Photographed through a light microscope with a smartphone camera. Single white blood cell cropped from the smear photograph. Peripheral blood smear:
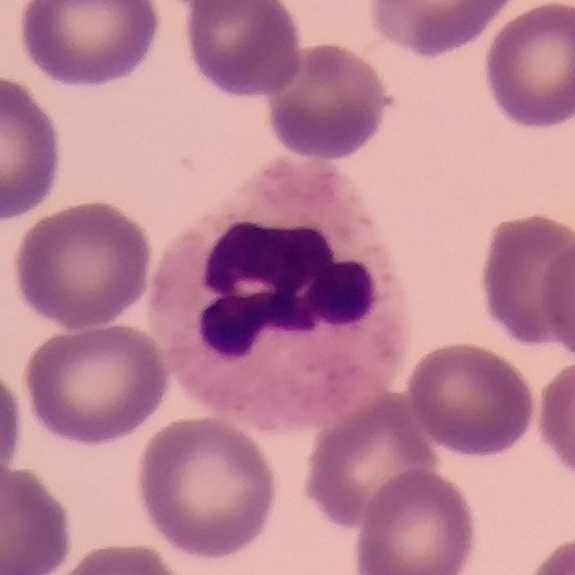 Neutrophil granulocyte.